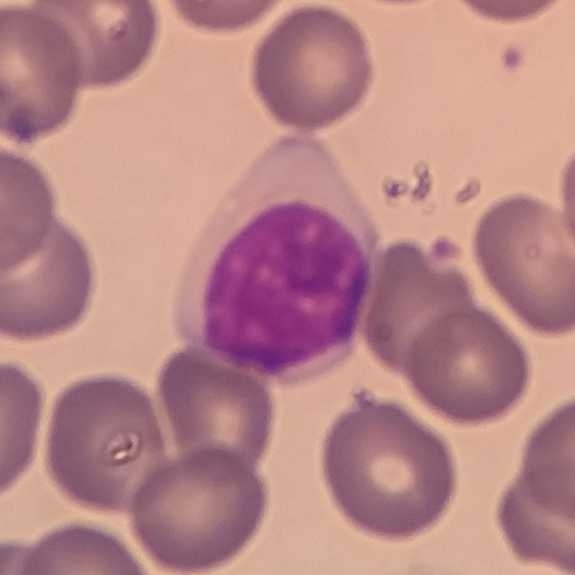Morphology — lymphocyte. Image: Smartphone photomicrograph. Peripheral blood smear.